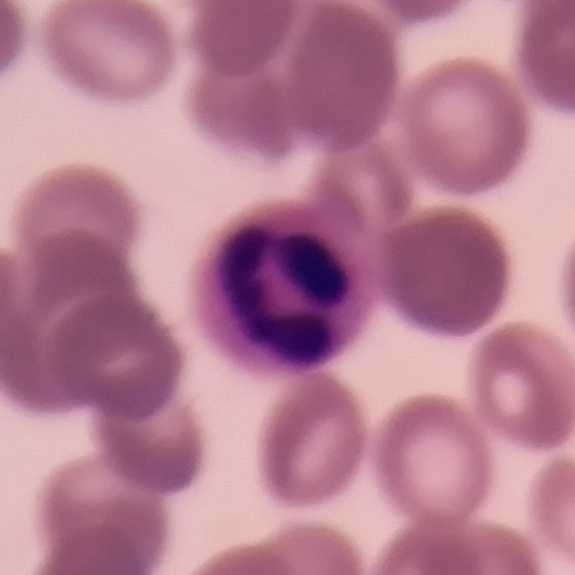
Q: What is the morphological classification of this cell?
A: Neutrophil granulocyte.
Context: Peripheral blood film.